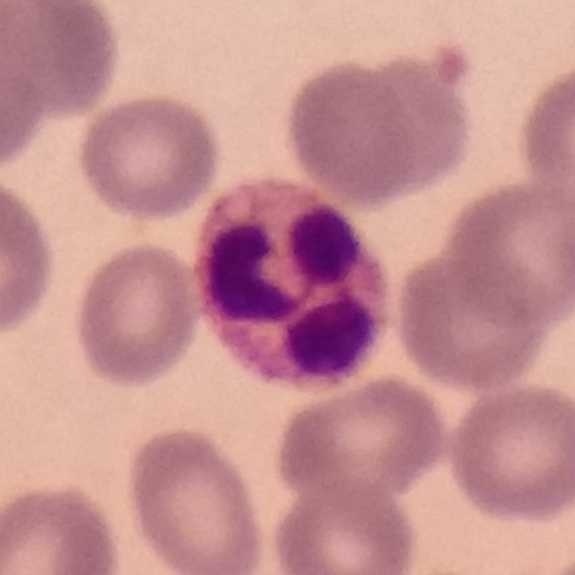

Single cell identified as a neutrophilic granulocyte.